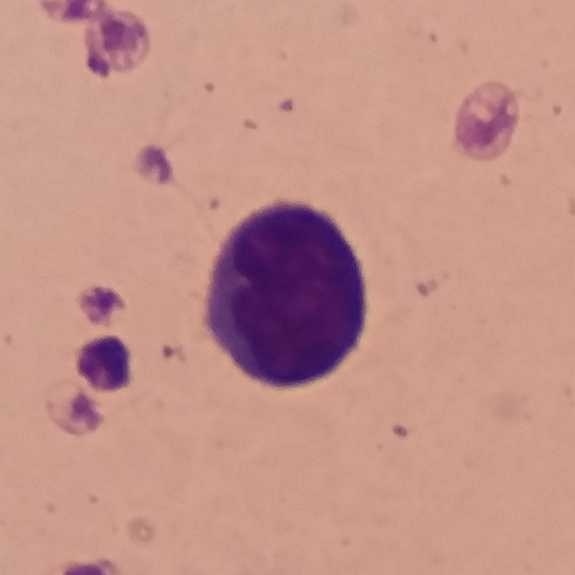

Cropped to one leukocyte; peripheral blood film.
The cell shown is a lymphocyte.